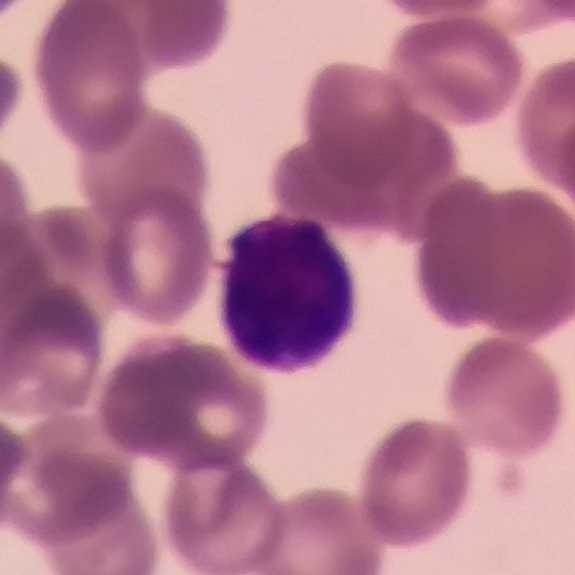

Classification — lymphocyte.